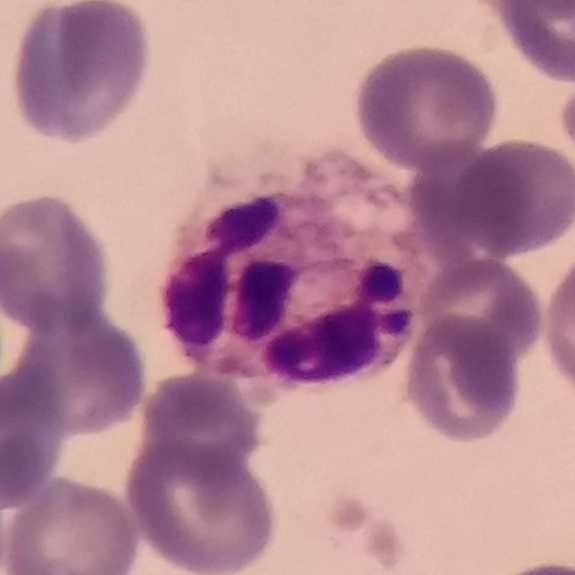

Preparation: Peripheral blood film. Single-cell crop. Morphological class = neutrophilic granulocyte.